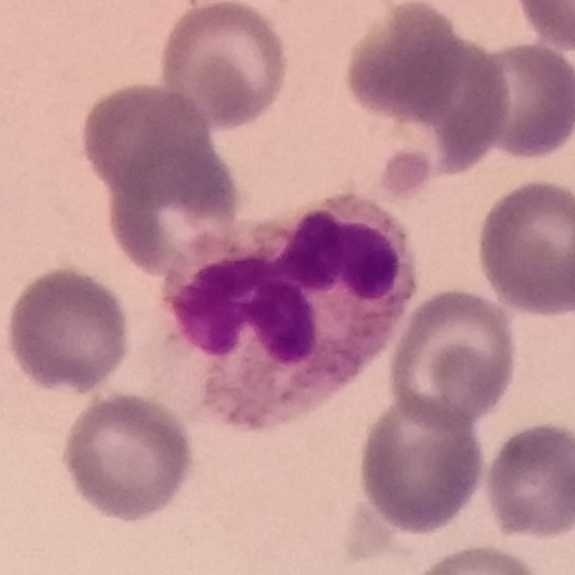
Preparation: Peripheral blood film; imaged at 100×.
{"cell_type": "neutrophil", "lineage": "myeloid"}